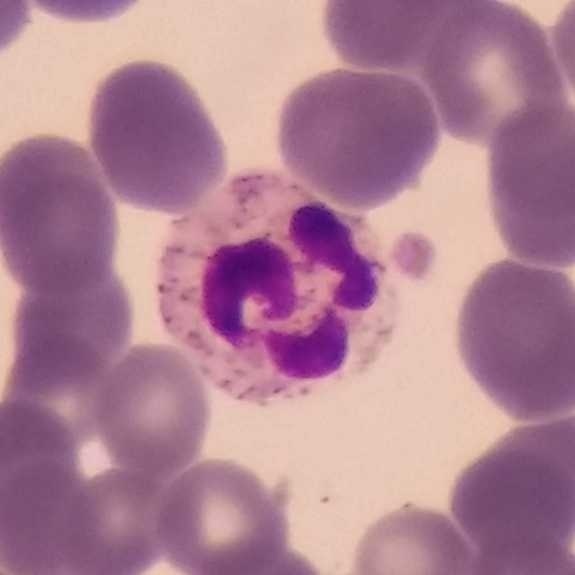
Q: What cell is this?
A: A neutrophilic granulocyte.